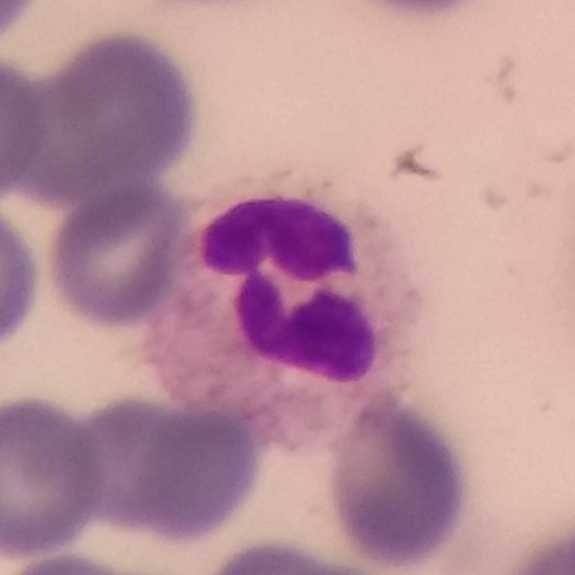
Specimen: peripheral blood smear.
Morphological class: neutrophilic granulocyte.
Lineage: myeloid.